Peripheral blood smear: 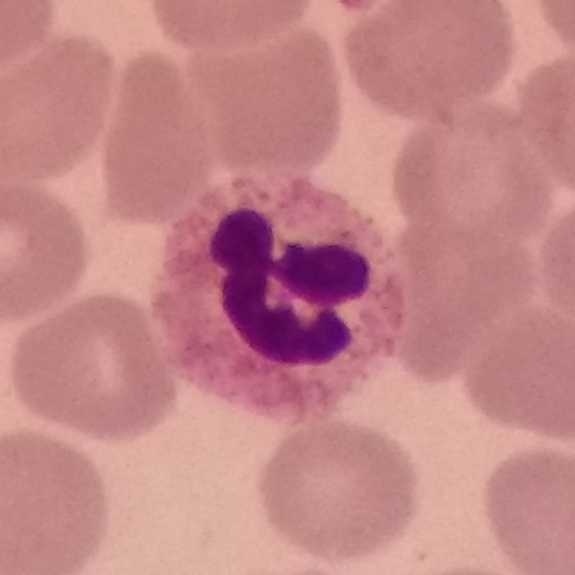
The cell type is neutrophil.